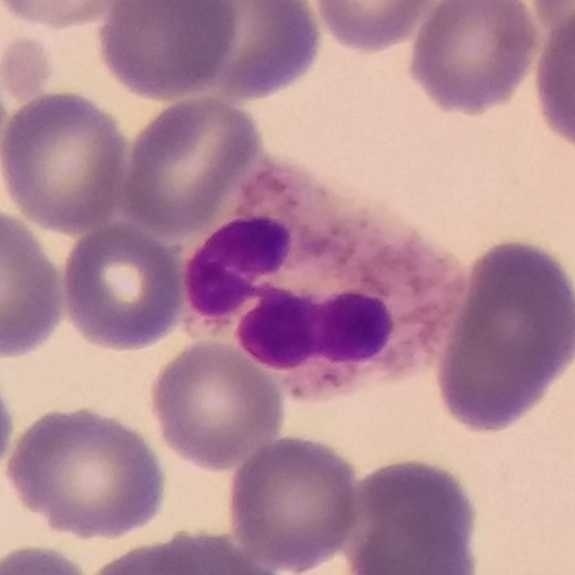
A neutrophilic granulocyte. Preparation: Peripheral blood film.